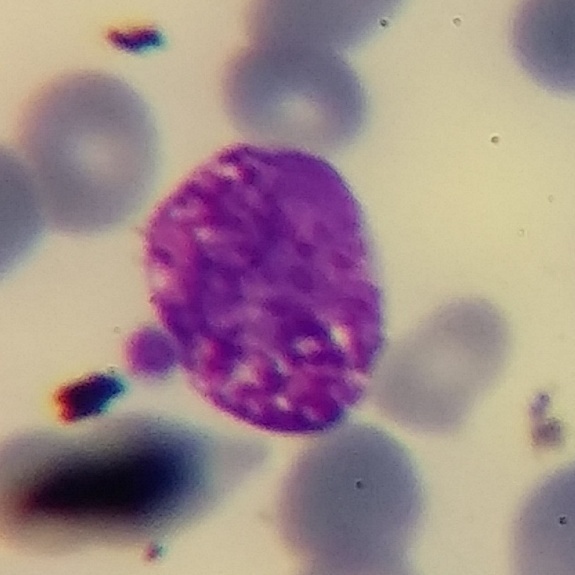
Peripheral blood smear.
Morphology — basophil.